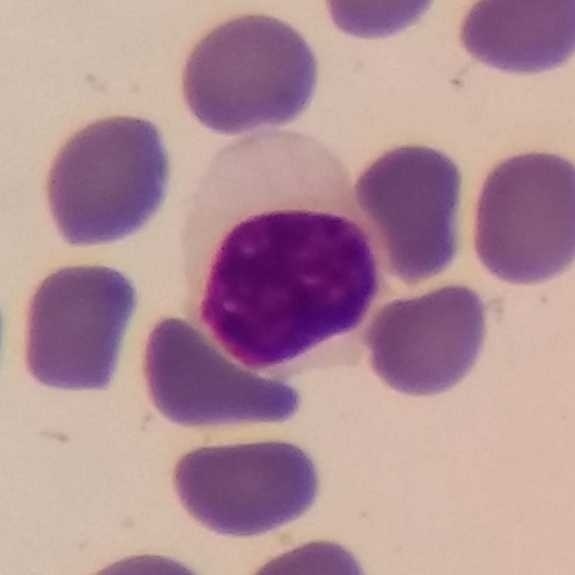The white blood cell type is lymphocyte.